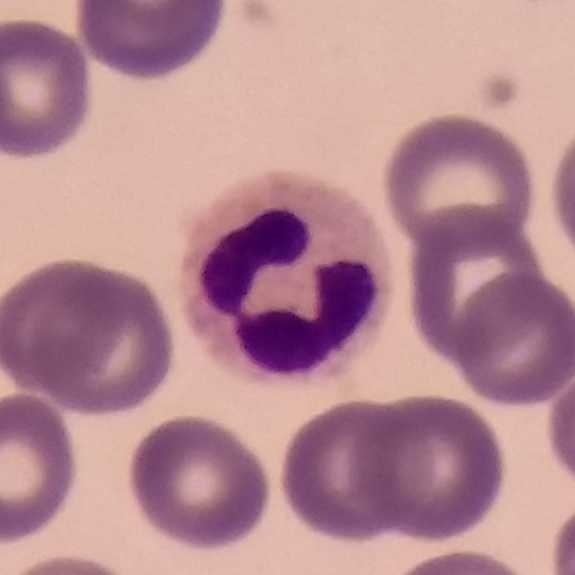
Preparation: Peripheral blood smear.

This is a neutrophil.